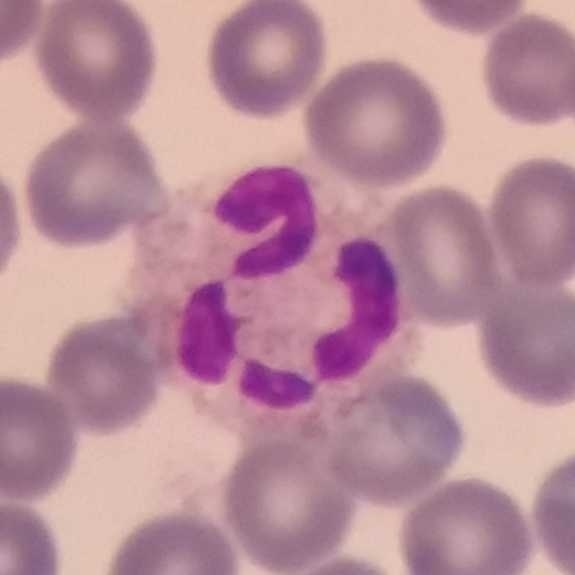
Specimen: peripheral blood smear.
Cell: neutrophilic granulocyte.
Lineage: myeloid.